Peripheral blood film — 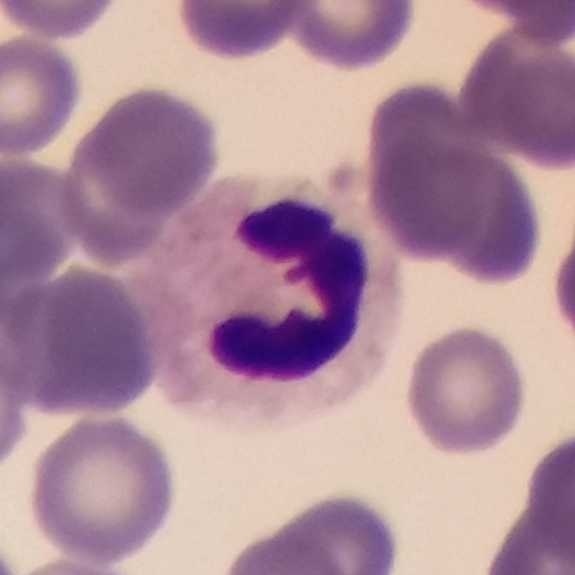Cell type — neutrophilic granulocyte.